Peripheral blood smear. Stained with Giemsa:
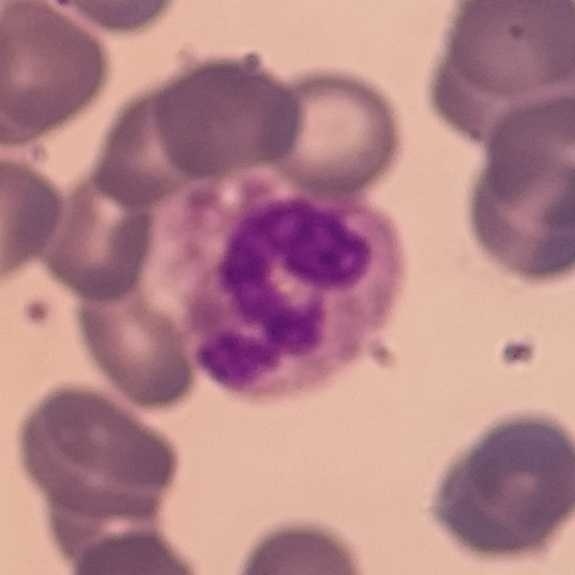 Identified as a neutrophilic granulocyte.